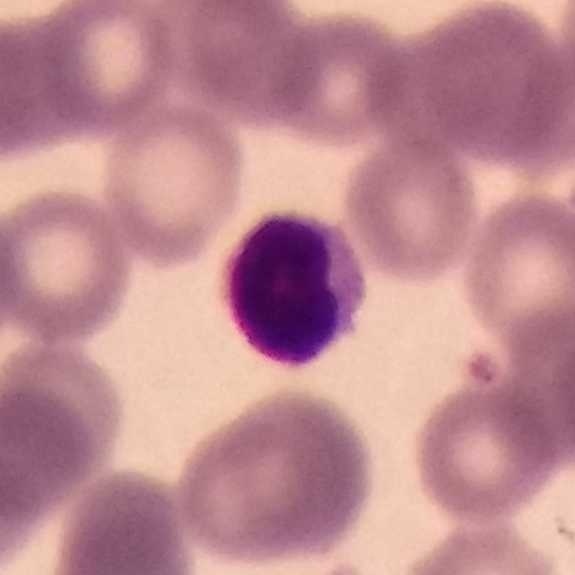

Morphological class — lymphocyte. Image: Peripheral blood film.